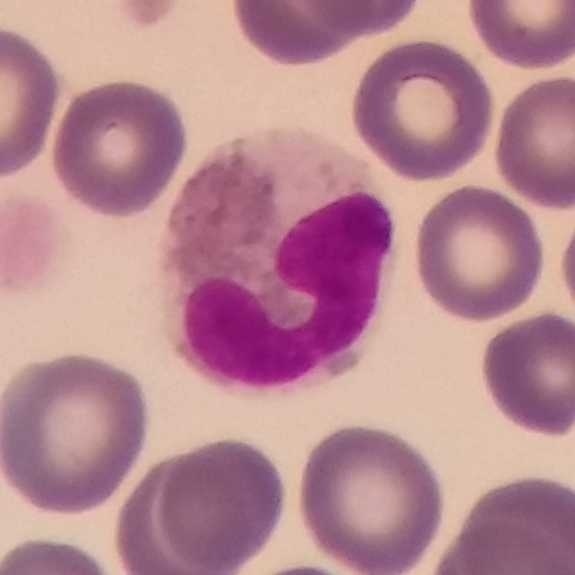

Q: What is shown here?
A: An eosinophilic granulocyte.